Peripheral blood smear — 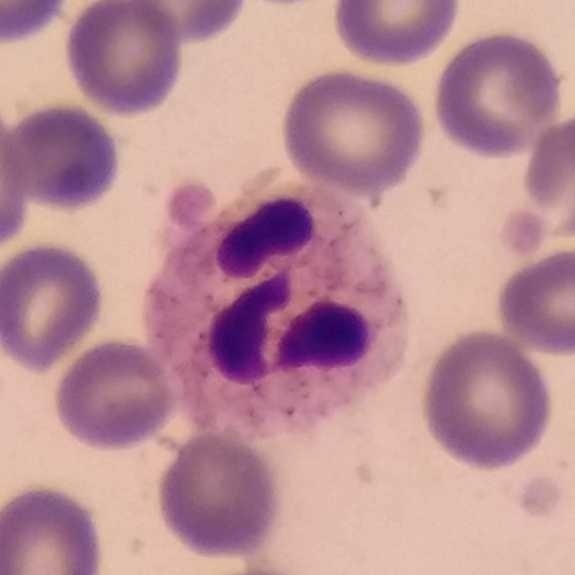 {"cell_type": "neutrophil granulocyte", "lineage": "myeloid"}